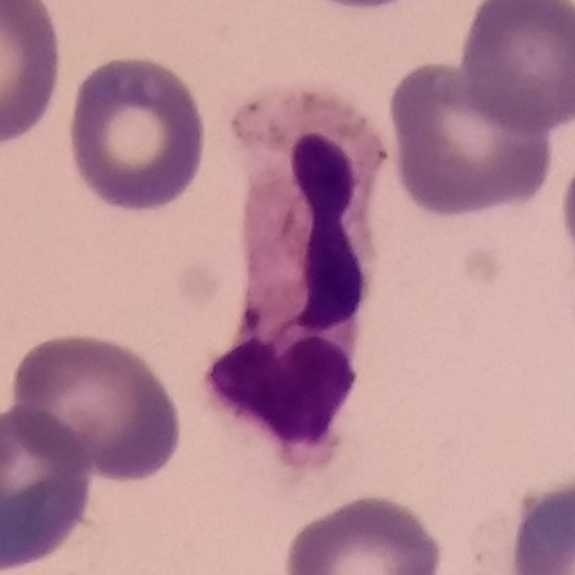 {"cell_type": "neutrophil"}